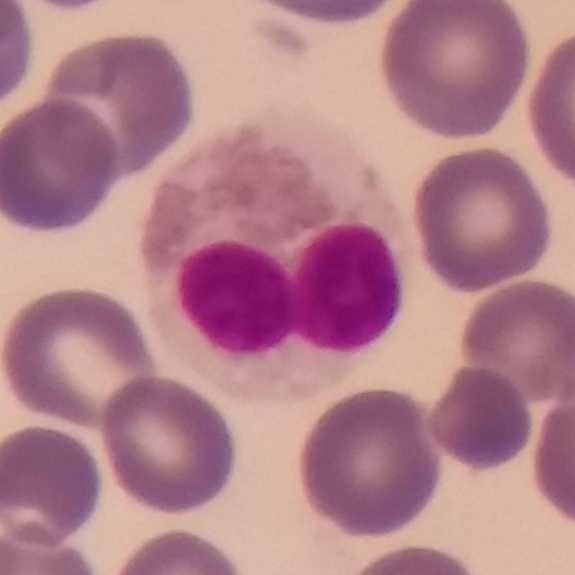
Peripheral blood film.

Morphology consistent with an eosinophil.